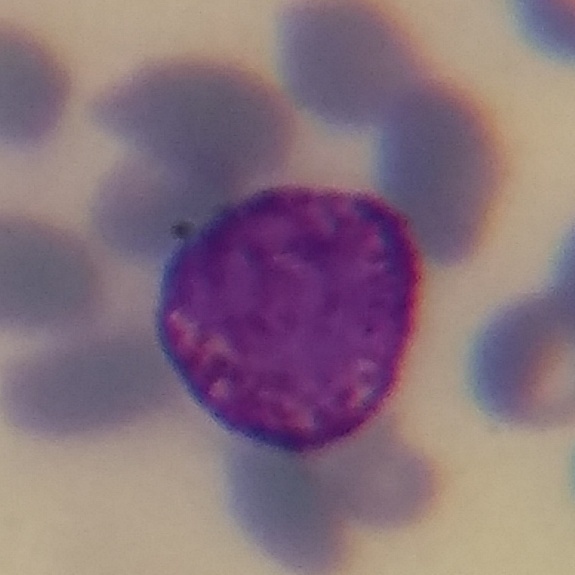 Q: What is the morphological classification of this cell?
A: Basophilic granulocyte. Image: Peripheral blood film.